575×575; peripheral blood film: 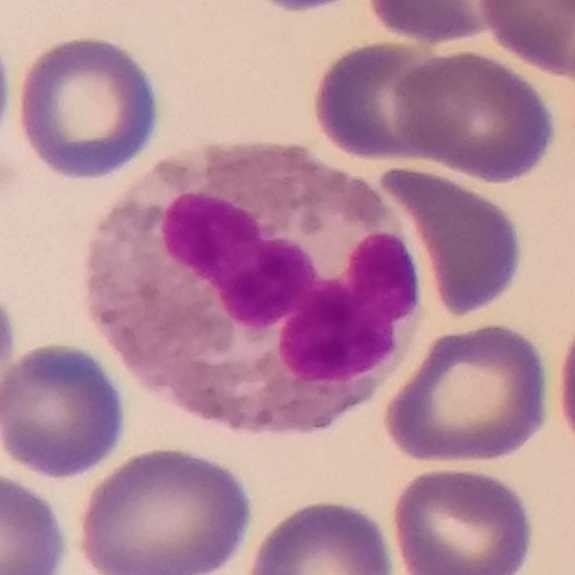
The cell type is eosinophil.